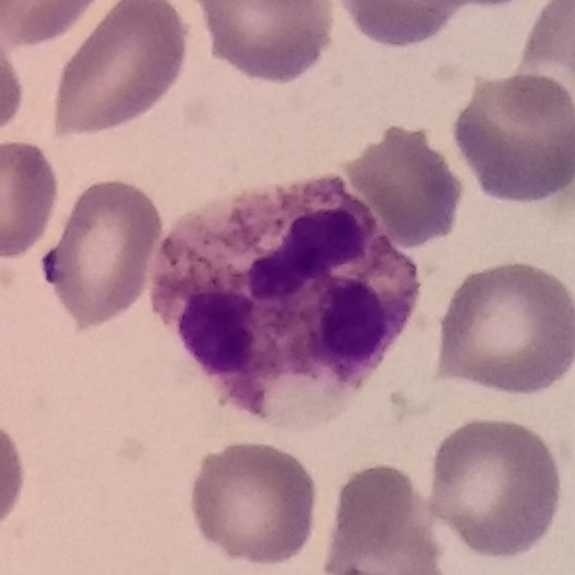
Classification: neutrophil granulocyte. Peripheral blood film.